Peripheral blood film — 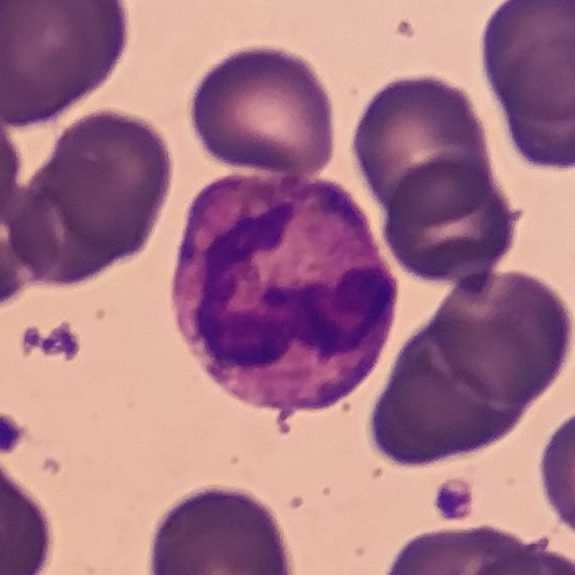
Specimen: peripheral blood smear.
White blood cell type: neutrophil granulocyte.